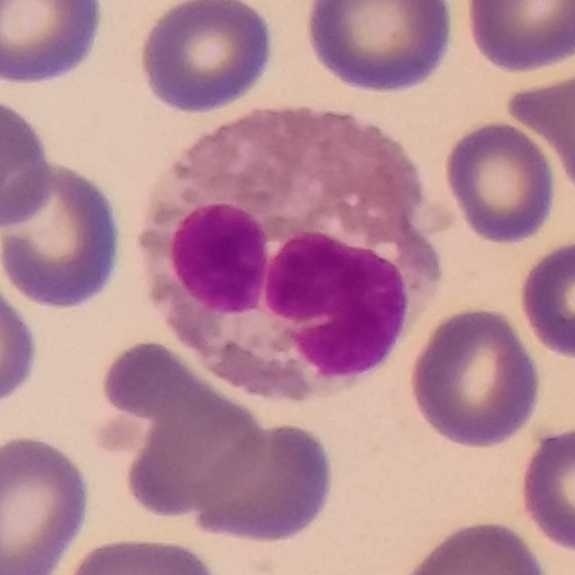

Specimen: peripheral blood smear.
White blood cell type: eosinophilic granulocyte.
Lineage: myeloid.
Context: Image size 575×575. Giemsa-stained.